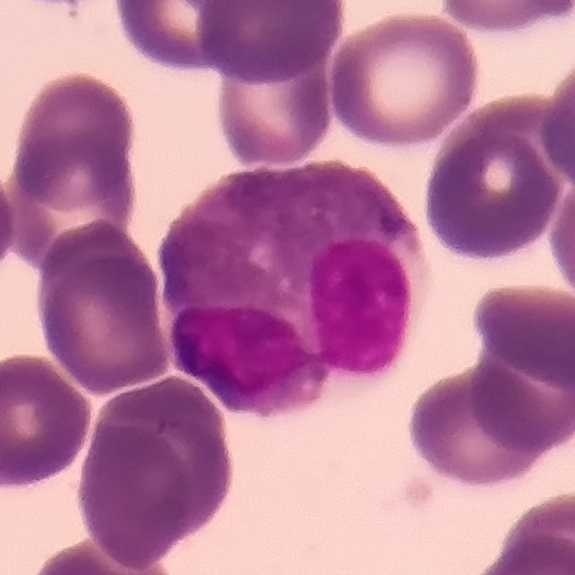 Single cell identified as an eosinophilic granulocyte. Preparation: Giemsa-stained. Peripheral blood film.